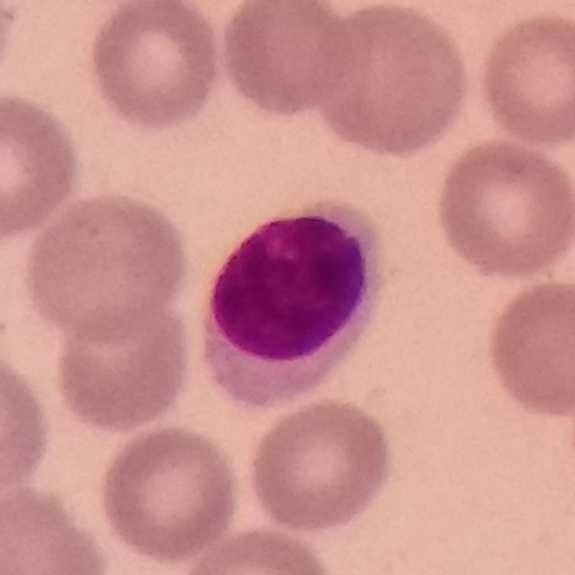
Acquisition: Peripheral blood film · Giemsa stain · 100× magnification.

Cell type — lymphocyte.